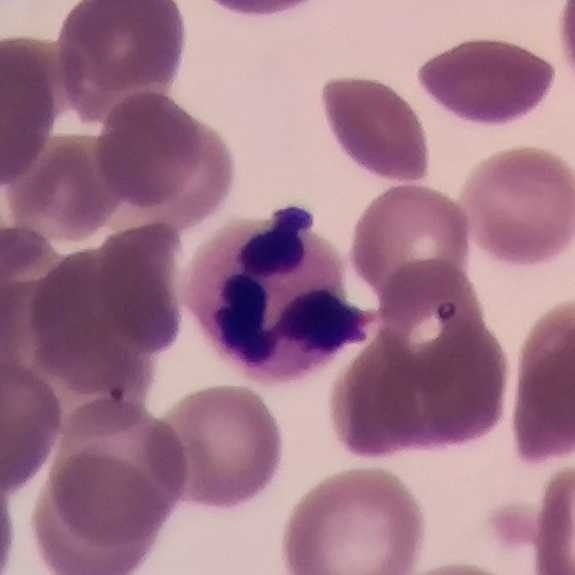 Peripheral blood film.

White blood cell type: neutrophil.